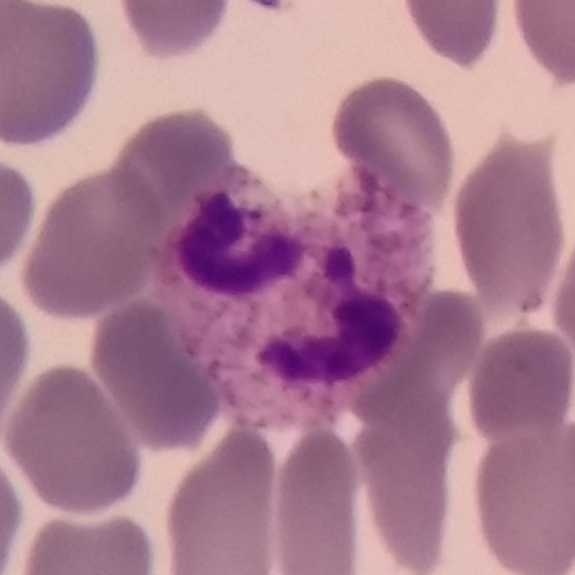White blood cell from a peripheral blood smear: neutrophil.